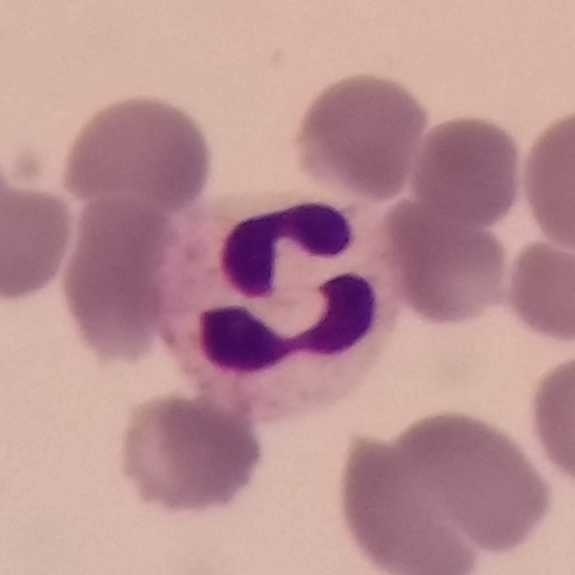 Acquisition: Peripheral blood smear; 575×575.
Q: What is this?
A: Neutrophil granulocyte.